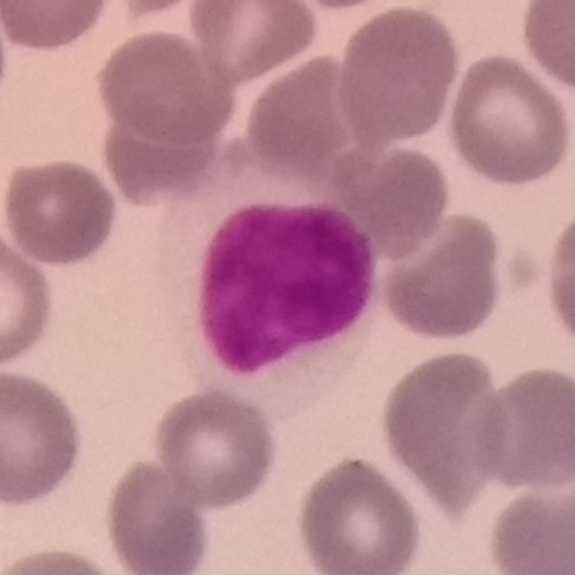 Image: Peripheral blood smear.
The morphological class is lymphocyte.